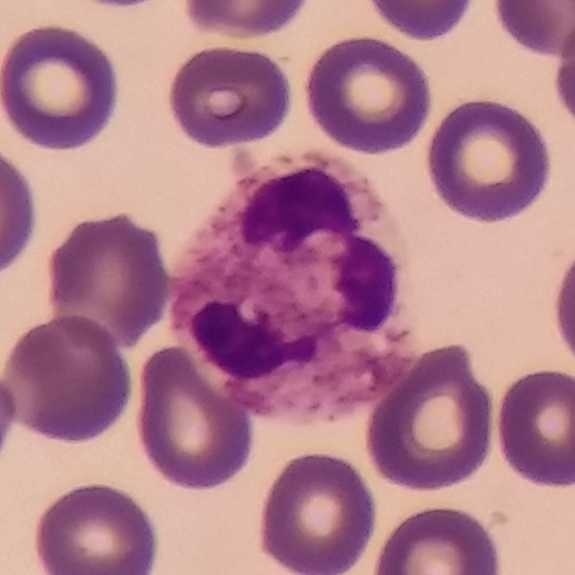Single white blood cell cropped from the smear photograph. Smartphone photomicrograph. Peripheral blood film. The classification is neutrophil granulocyte.